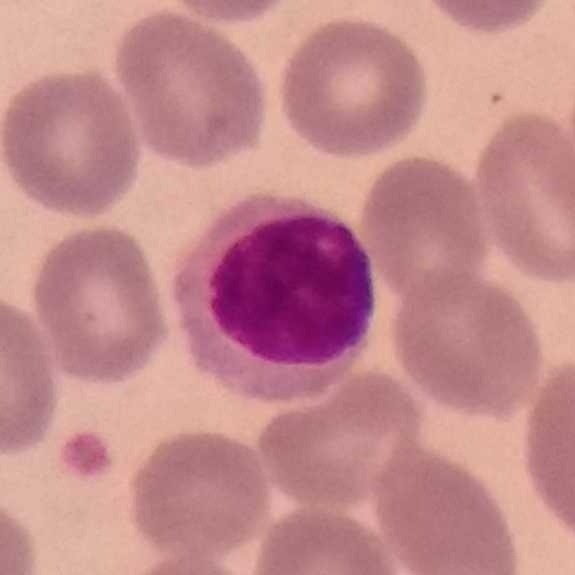 Morphology — lymphocyte.
Peripheral blood smear.